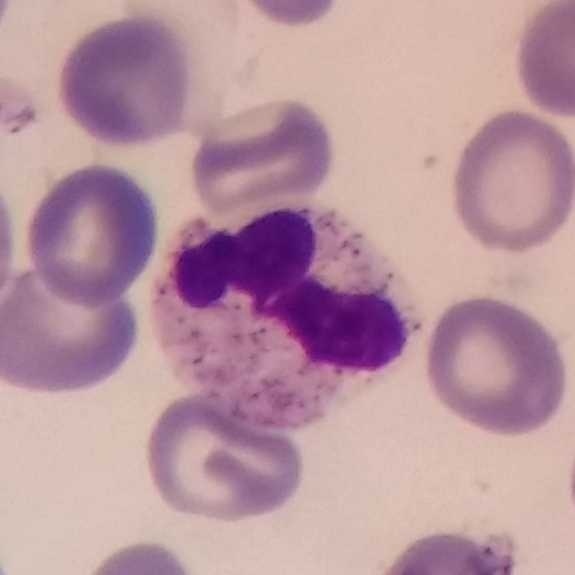
Cell: neutrophil granulocyte. Image: Peripheral blood film.